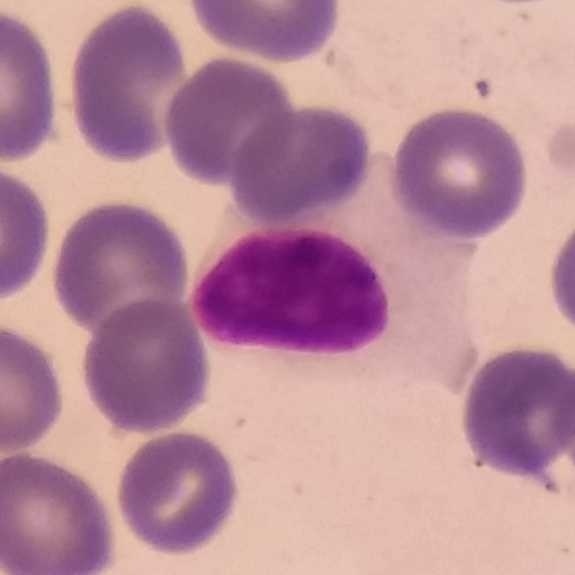 A lymphocyte. Peripheral blood smear.